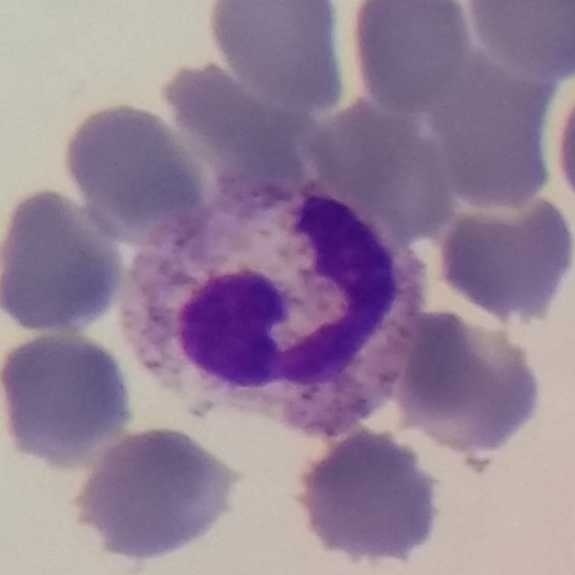
The cell is neutrophil.
Context: Peripheral blood film.